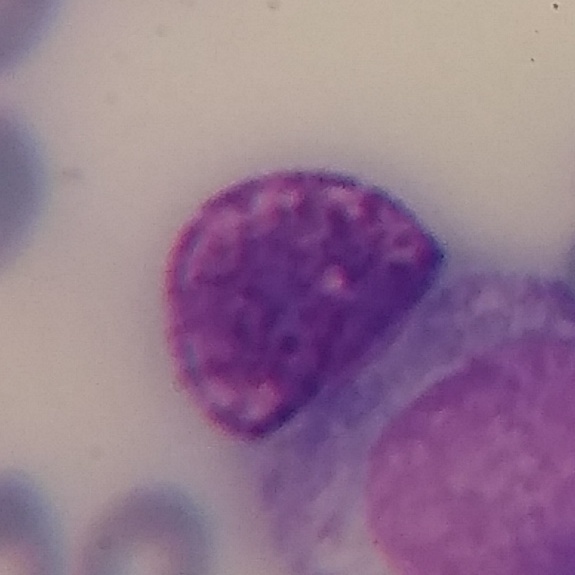

Context: Peripheral blood smear. Morphological class = basophilic granulocyte.